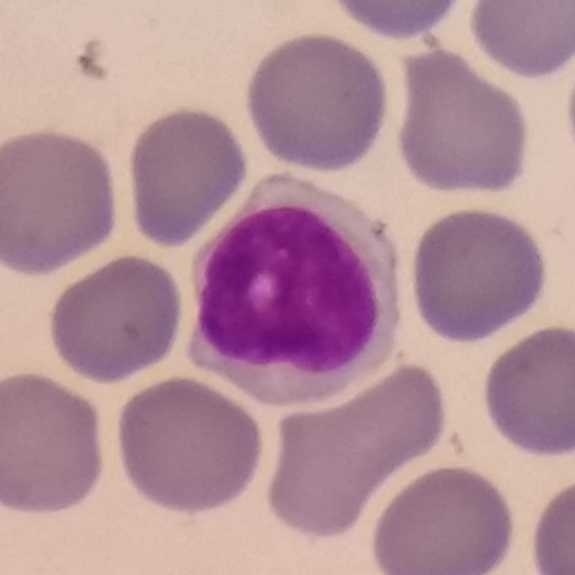 Cell type — lymphocyte.